Photographed through a light microscope with a smartphone camera. Peripheral blood film — 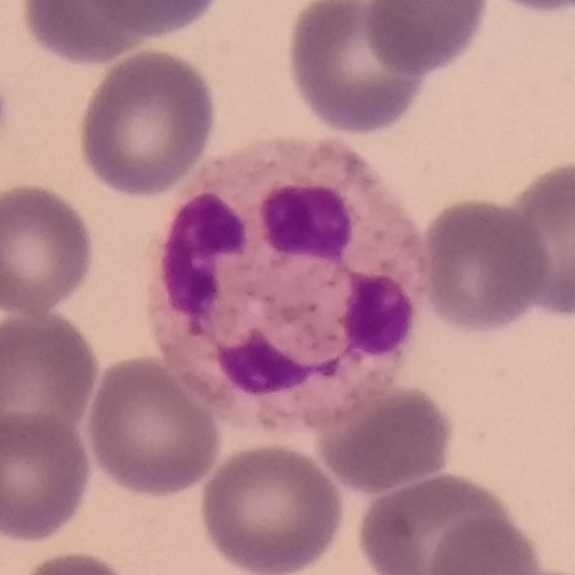 Specimen: peripheral blood film.
Classification: neutrophil granulocyte.
Lineage: myeloid.